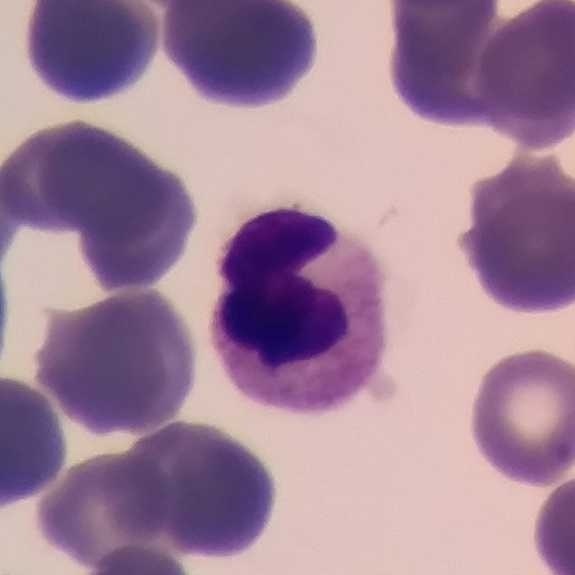Preparation: Magnification 100×; peripheral blood smear.

Morphology → neutrophil.